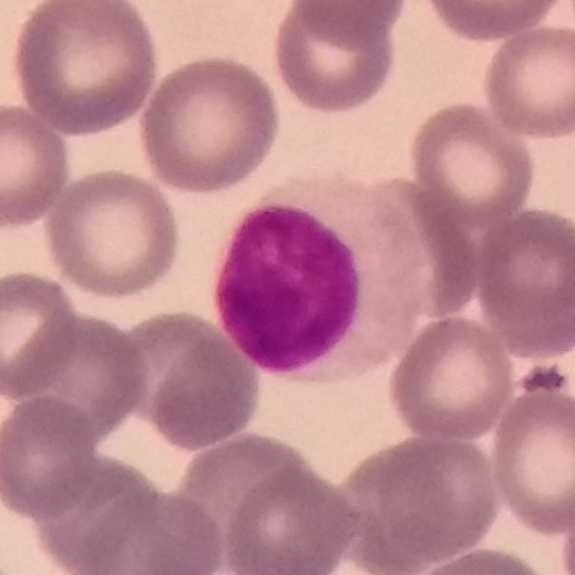 Acquisition: Peripheral blood smear.
Impression → lymphocyte.